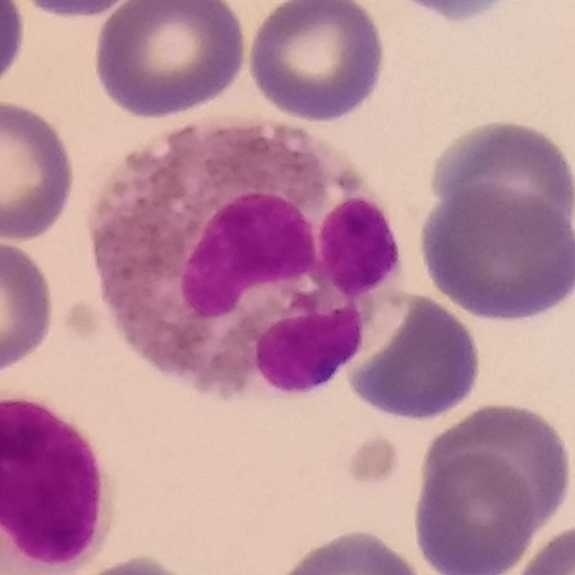Showing an eosinophil.

Preparation: Peripheral blood film.